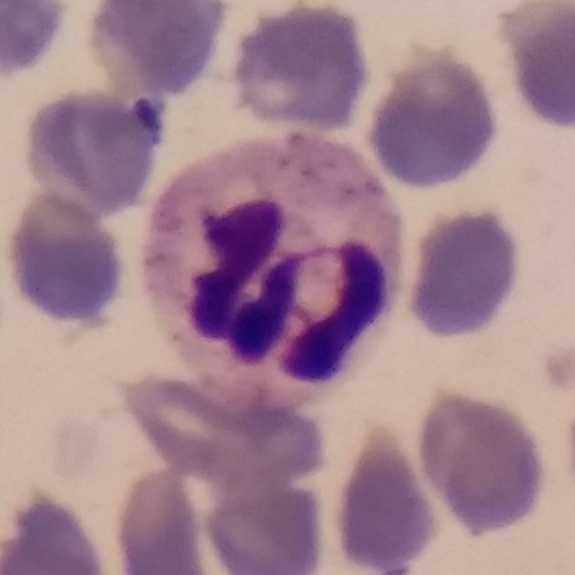

This is a neutrophil.

Image: 575 by 575 pixels; peripheral blood film.